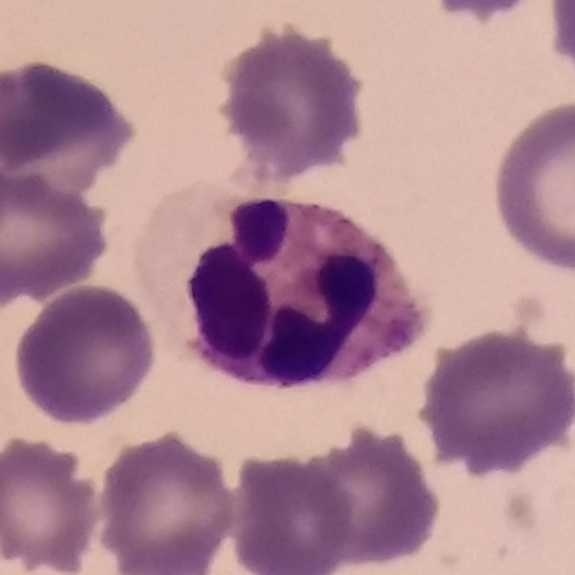 A neutrophilic granulocyte on a peripheral blood smear.